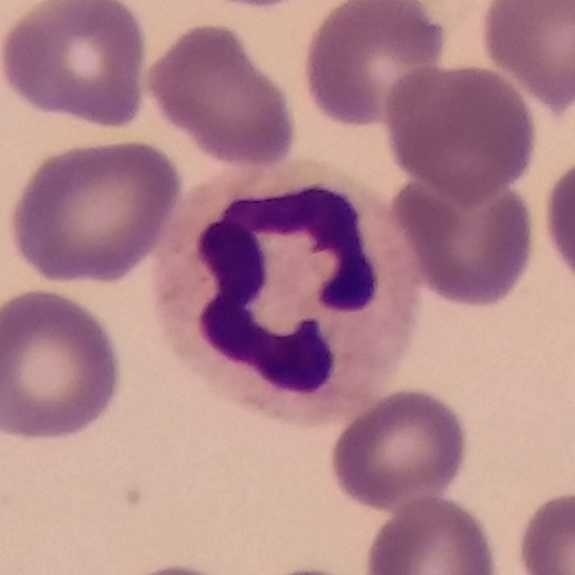
Context: Peripheral blood smear.
Morphology — neutrophilic granulocyte.